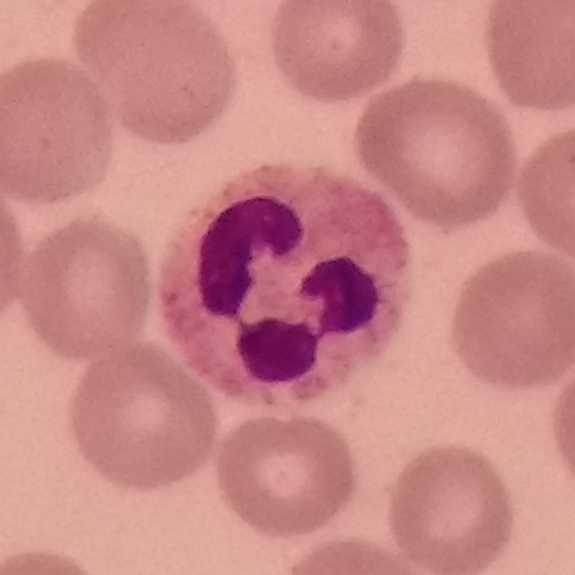

Cell type = neutrophilic granulocyte.